575 by 575 pixels · peripheral blood film · stained with Giemsa:
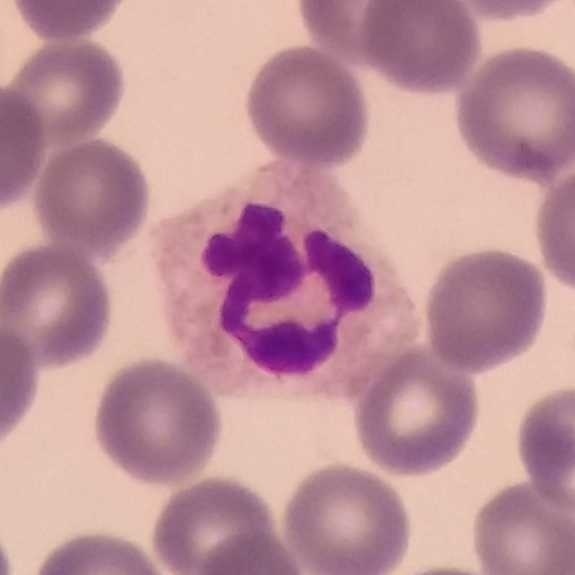The morphological class is neutrophilic granulocyte.